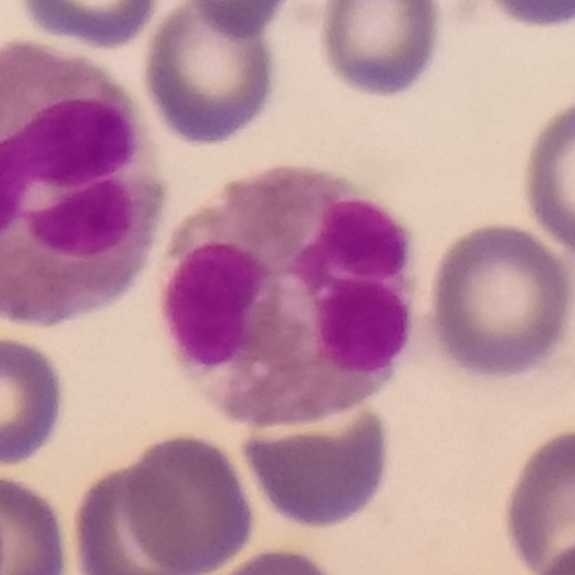

Peripheral blood smear. Morphological class — eosinophilic granulocyte.